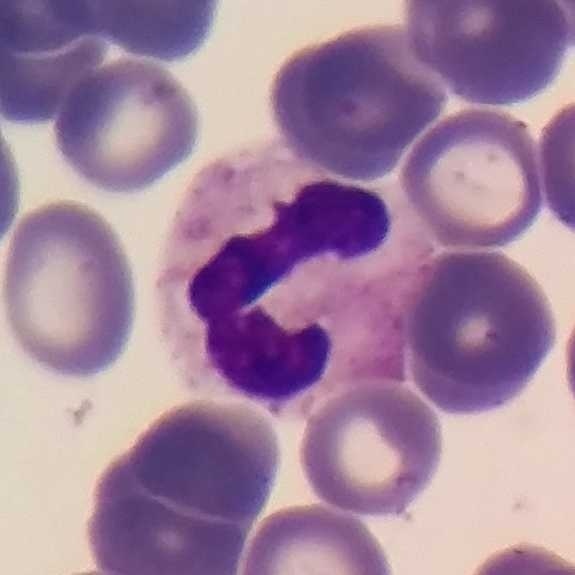
This is a neutrophil. Preparation: Peripheral blood film.